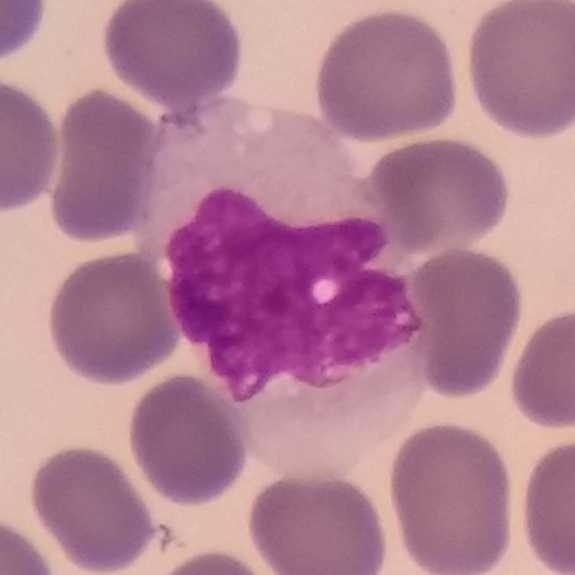Morphological class — monocyte.